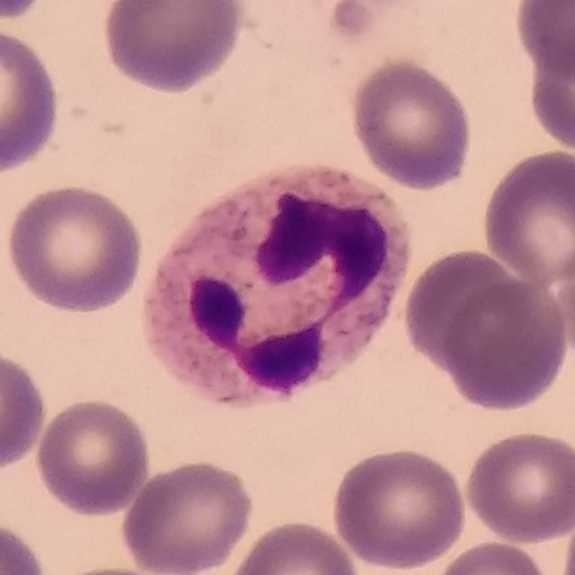
Peripheral blood film. Photographed through a light microscope with a smartphone camera. Cropped to one leukocyte.
Cell type: neutrophil.